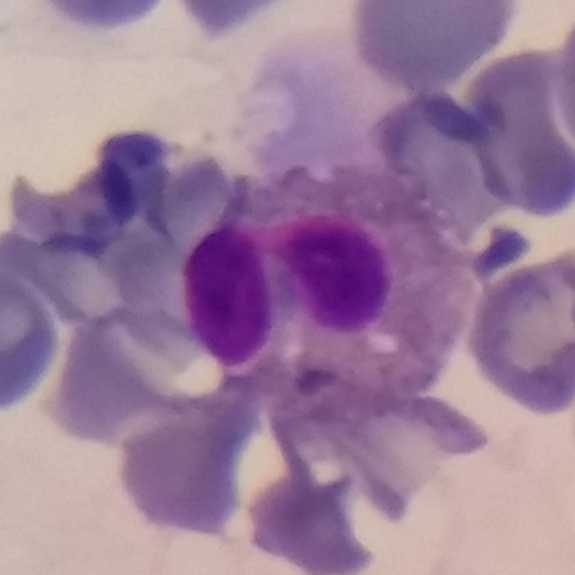

Morphology consistent with an eosinophil.